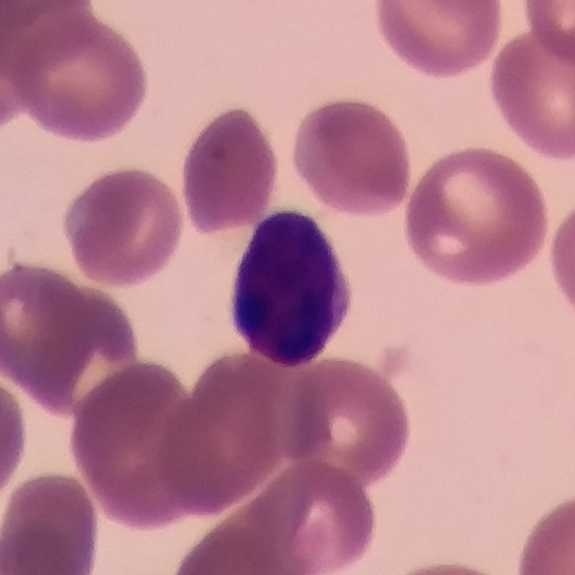
Image: Peripheral blood smear.

The cell shown is a lymphocyte.